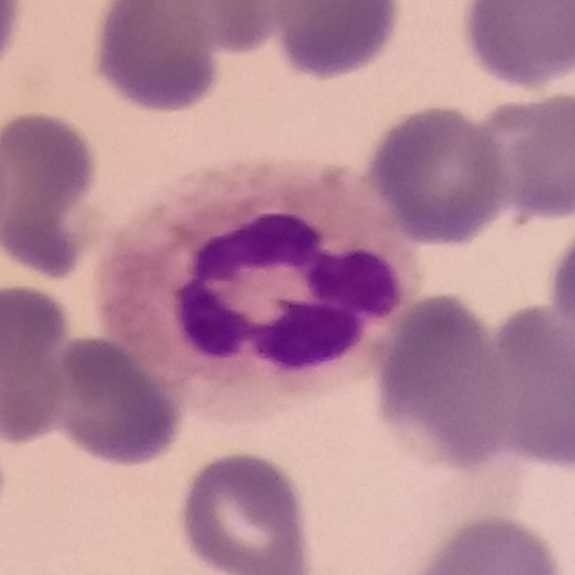

{"cell_type": "neutrophil granulocyte", "lineage": "myeloid"}

Acquisition: Single white blood cell cropped from the smear photograph. Peripheral blood smear.